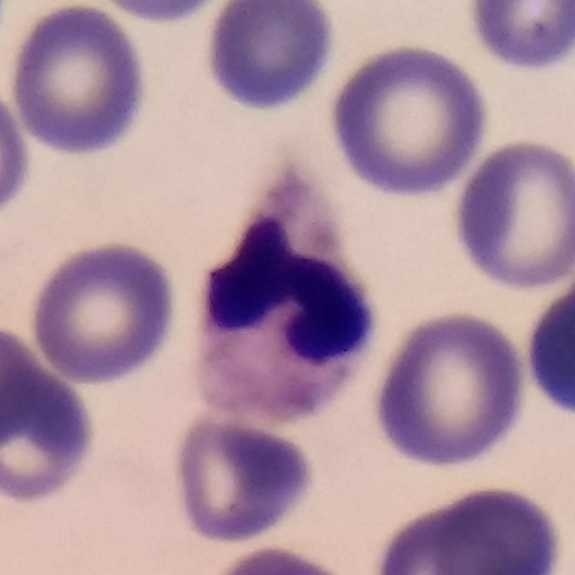

Context: Single white blood cell cropped from the smear photograph. Photographed through a light microscope with a smartphone camera. Peripheral blood smear. Morphological class = neutrophil.